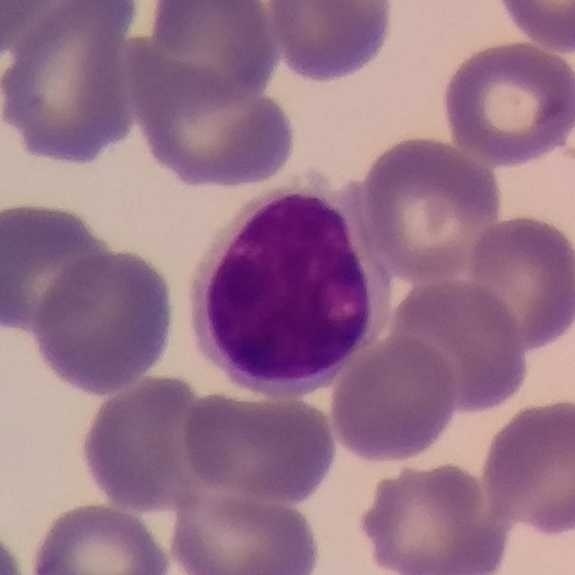

Cell type: lymphocyte.
Image: Giemsa-stained · single-cell crop · peripheral blood smear.